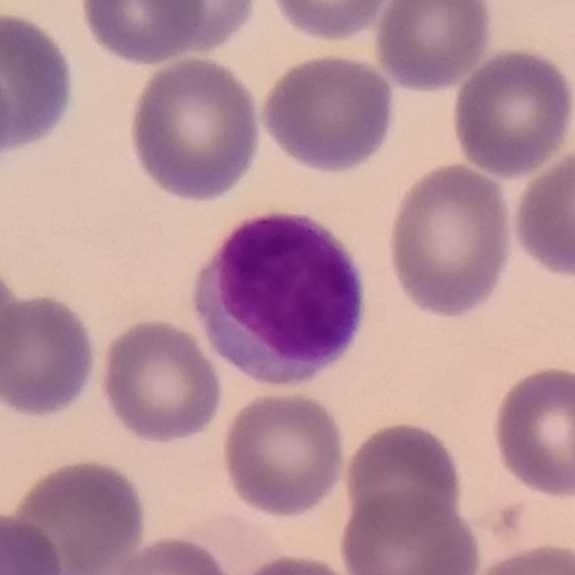

Lymphocyte.